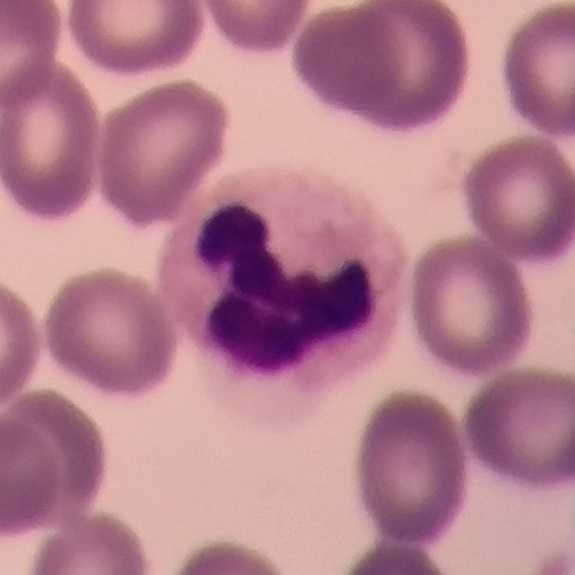
Q: What is this?
A: Neutrophilic granulocyte. Imaged at 100×; peripheral blood film.